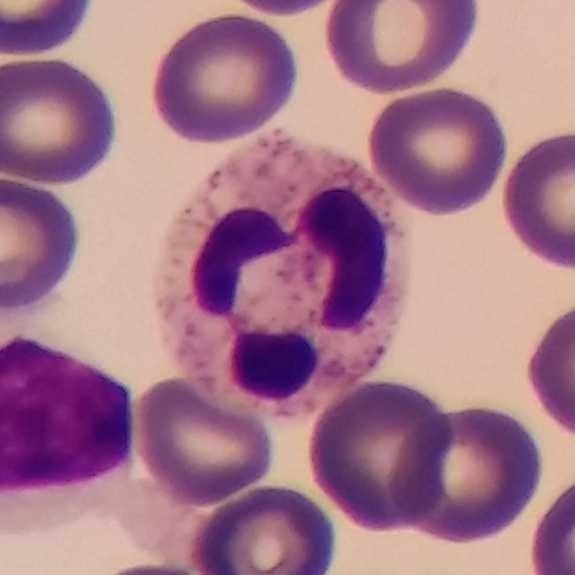

Identified as a neutrophil granulocyte.
Preparation: Peripheral blood film.